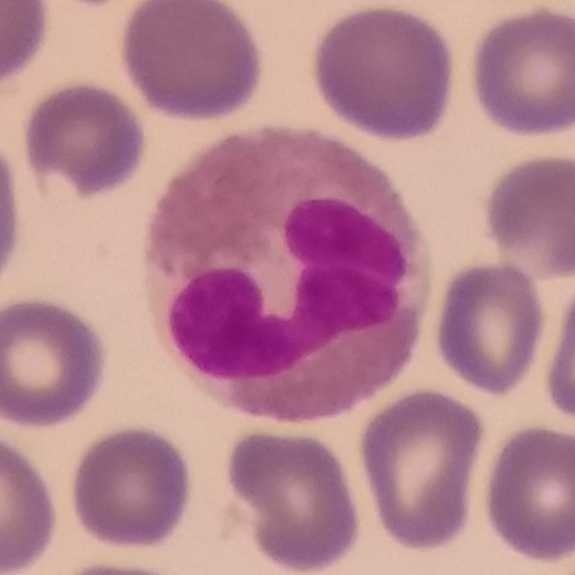Morphology — eosinophil.